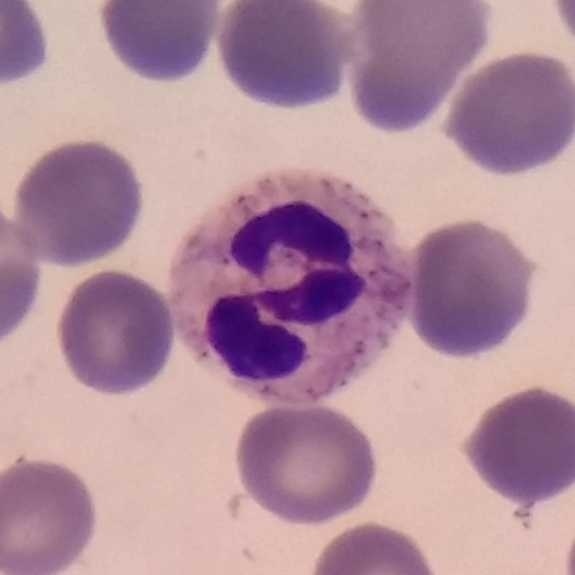

Peripheral blood film, single cell — neutrophil granulocyte.